Peripheral blood film
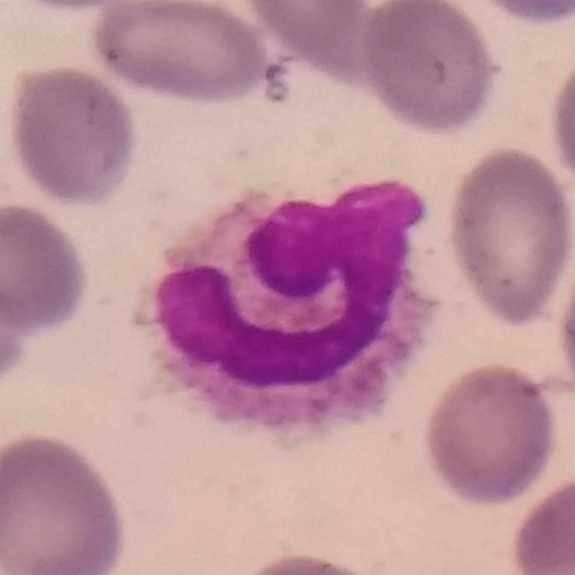
This is a neutrophilic granulocyte.